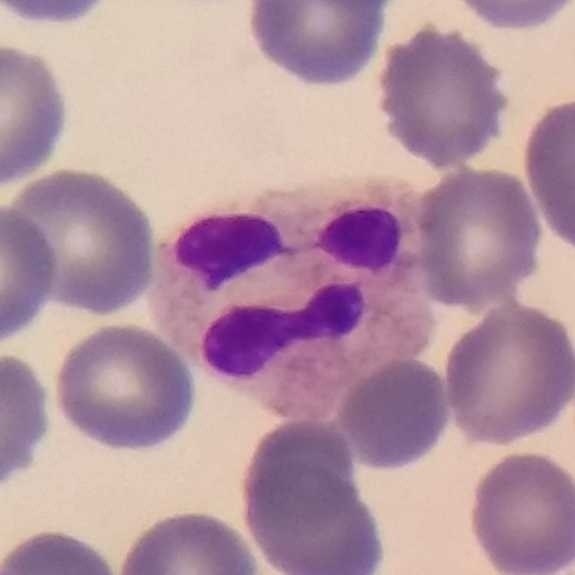
Context: Peripheral blood smear.

The classification is neutrophil.